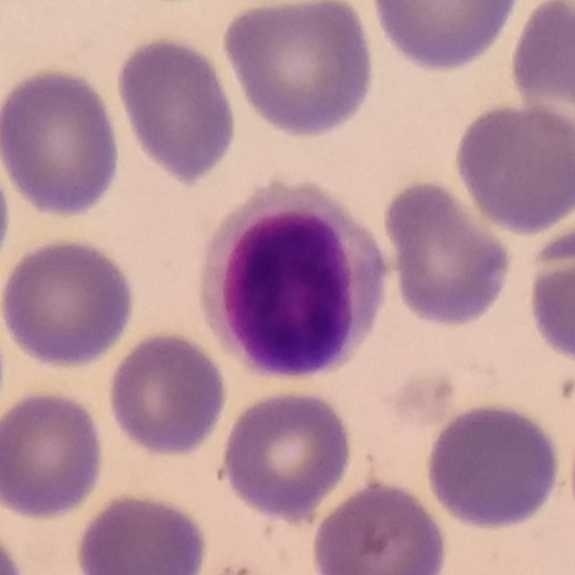
Classification — lymphocyte.